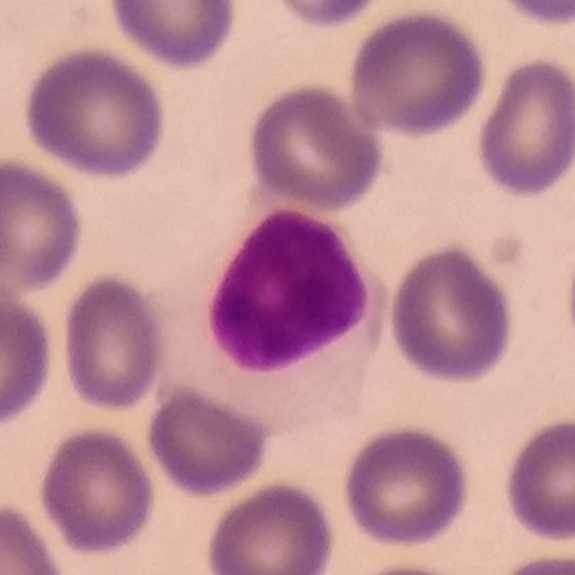 Cell: lymphocyte. Stained with Giemsa. Peripheral blood smear.